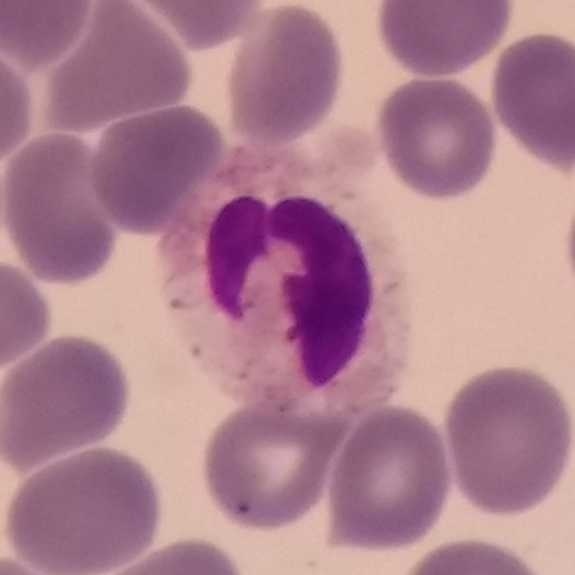 Q: Which type of white blood cell is this?
A: It is a neutrophil.
Peripheral blood smear. 575 by 575 pixels. Single-cell crop.